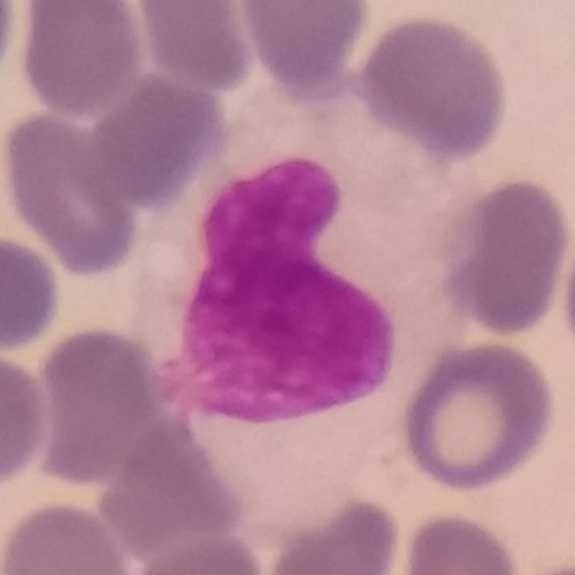Showing a monocyte. Peripheral blood film. Stained with Giemsa.